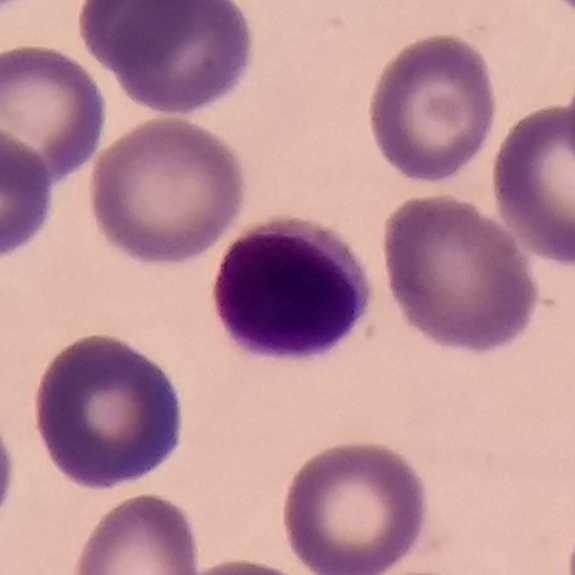Specimen: peripheral blood film.
White blood cell type: lymphocyte.